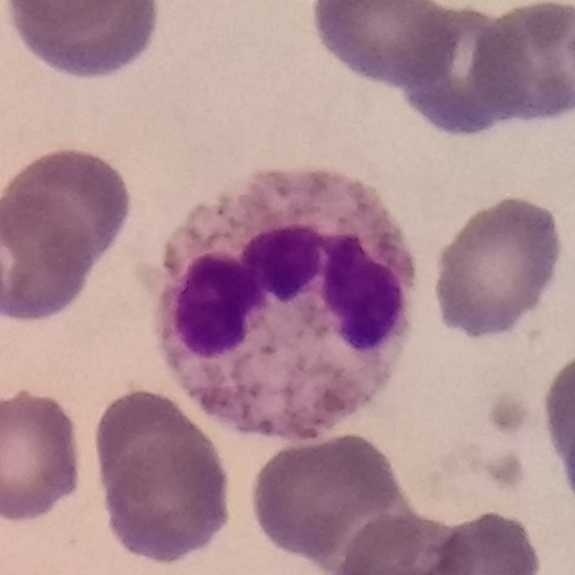
From a peripheral blood smear: a neutrophilic granulocyte.